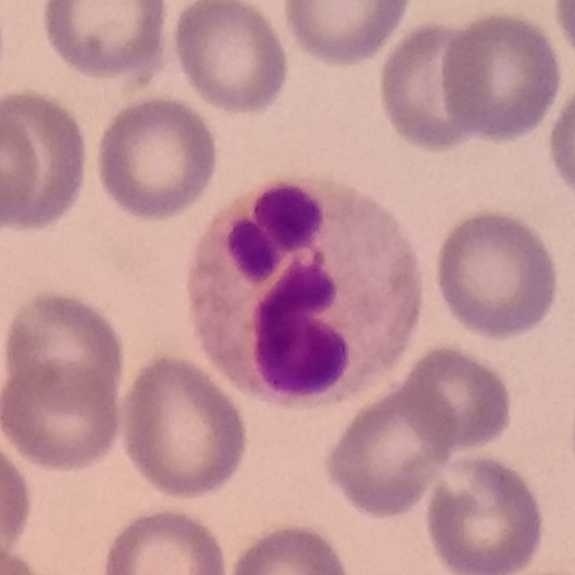 Image: Peripheral blood film; Giemsa-stained. The cell is neutrophil granulocyte.